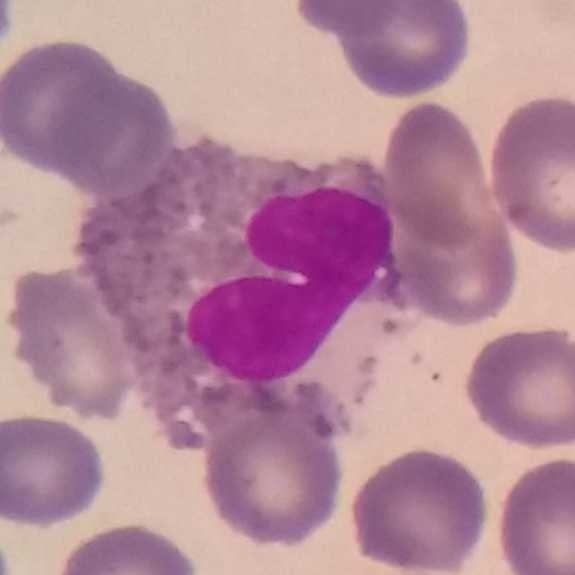Cell: eosinophil.
Peripheral blood smear.